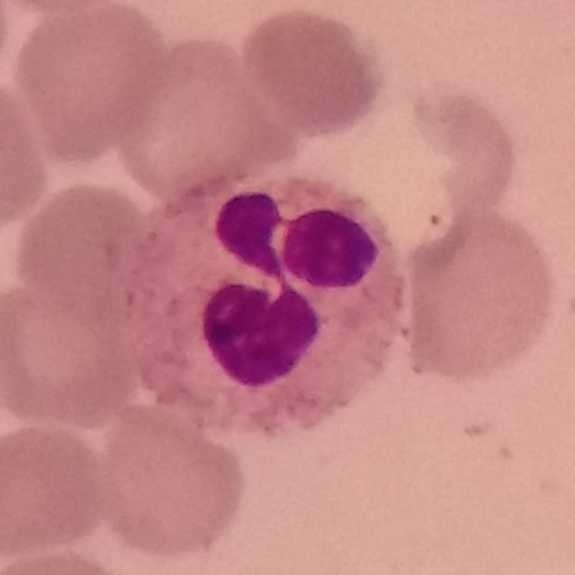

Preparation: Peripheral blood smear; Giemsa stain.

Morphological class = neutrophil granulocyte.